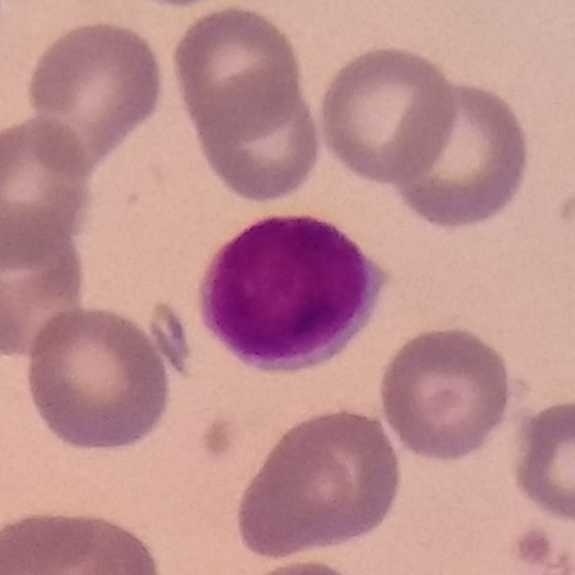
Peripheral blood film.

Classification = lymphocyte.